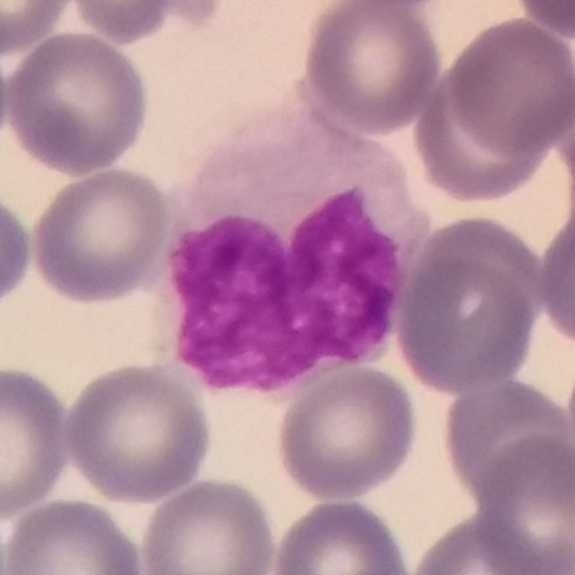
Showing a monocyte.